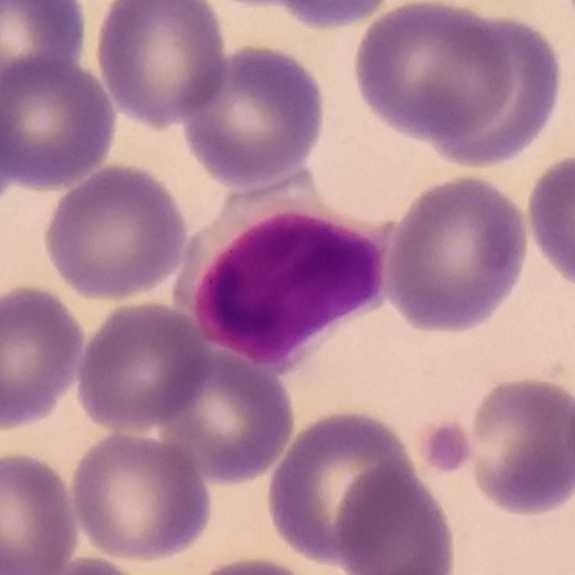
Impression — lymphocyte.
Preparation: Stained with Giemsa. Peripheral blood film.